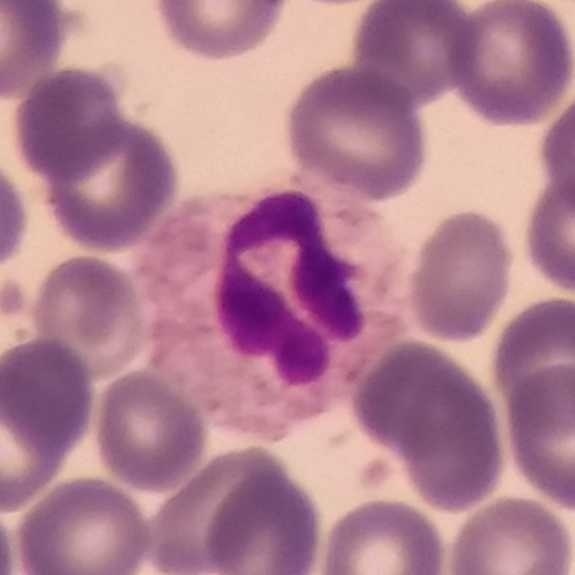
Acquisition: Single white blood cell cropped from the smear photograph · peripheral blood smear.

This is a neutrophil granulocyte.